Peripheral blood smear — 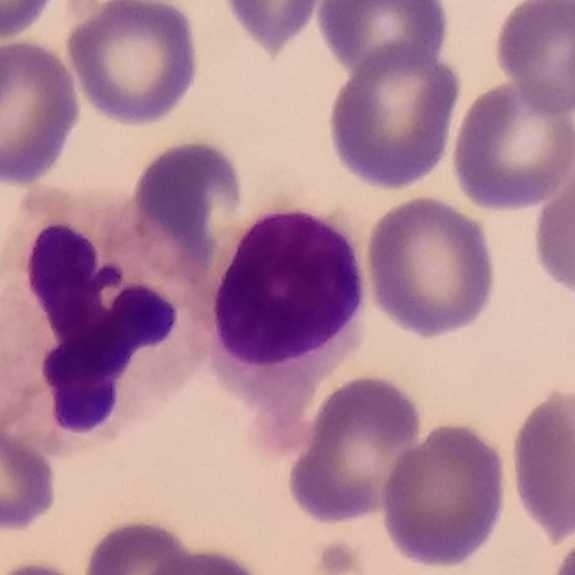

Specimen: peripheral blood smear.
White blood cell type: lymphocyte.
Lineage: lymphoid.